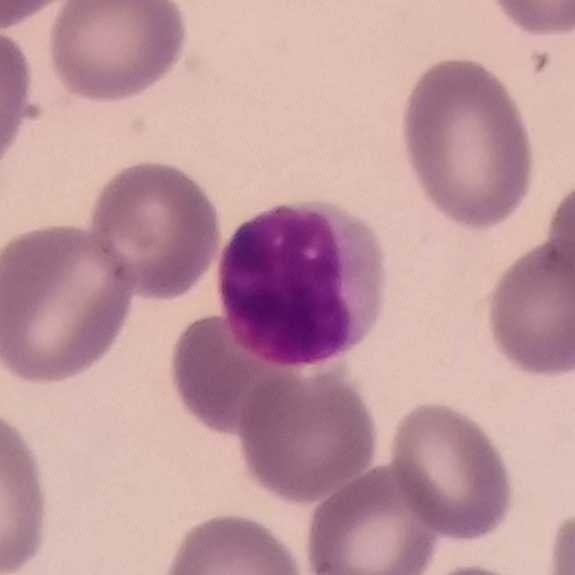

Photographed through a light microscope with a smartphone camera · Giemsa stain · peripheral blood film. Q: Classify this leukocyte.
A: Lymphocyte.